Phone-camera image taken through the microscope ocular; peripheral blood smear: 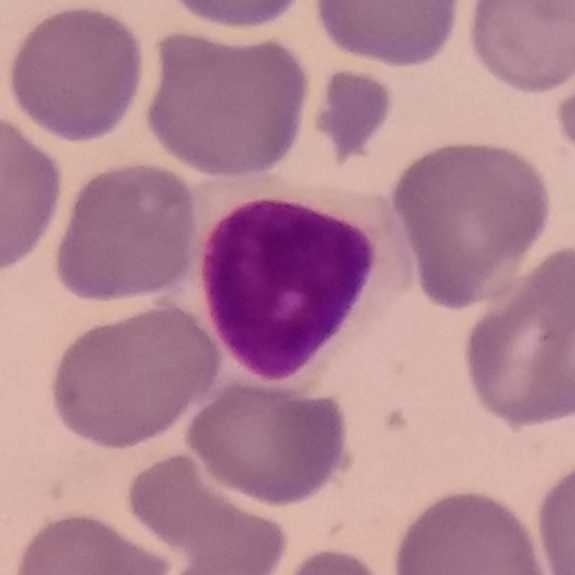

Specimen: peripheral blood film.
Cell: lymphocyte.
Lineage: lymphoid.